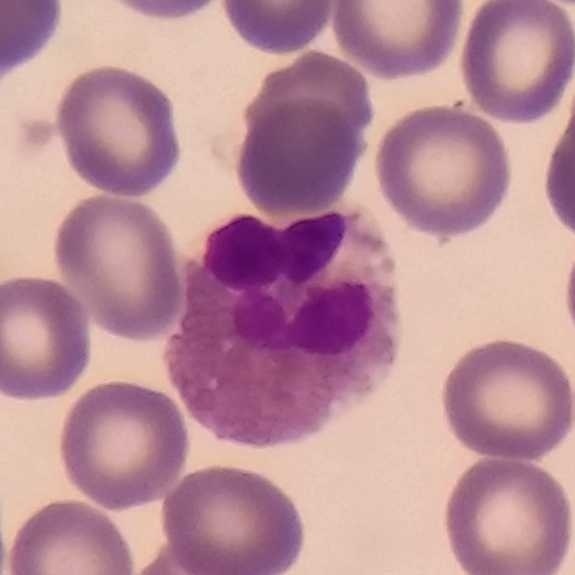
Q: Identify the cell.
A: An eosinophil.

Image: Peripheral blood film. Phone-camera image taken through the microscope ocular. 100× magnification.